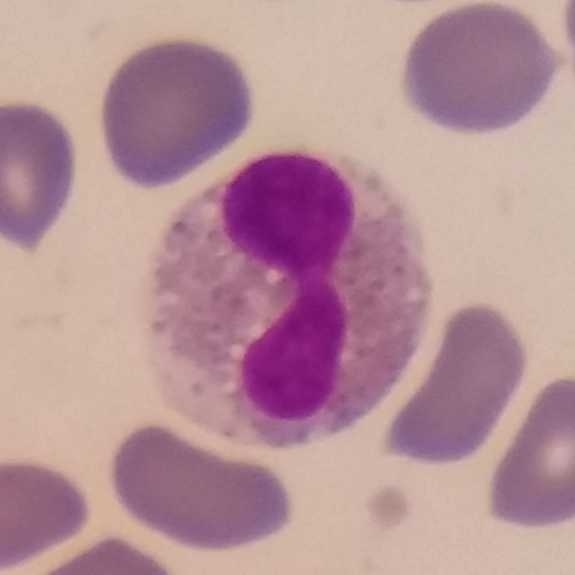 Q: What type of cell is this?
A: An eosinophil.